Cropped to one leukocyte. Peripheral blood smear — 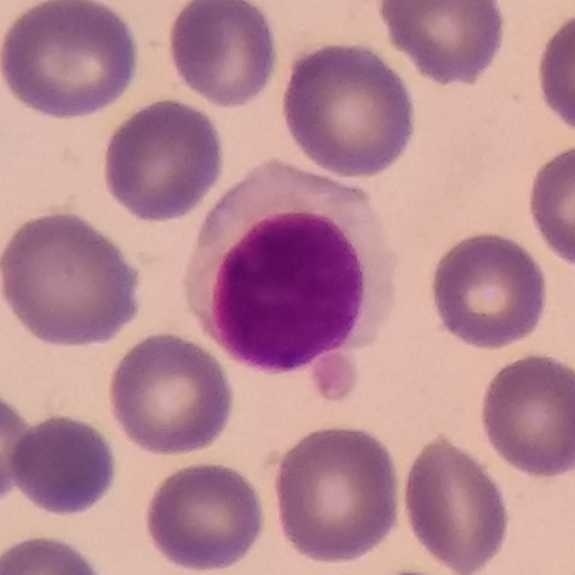A lymphocyte.